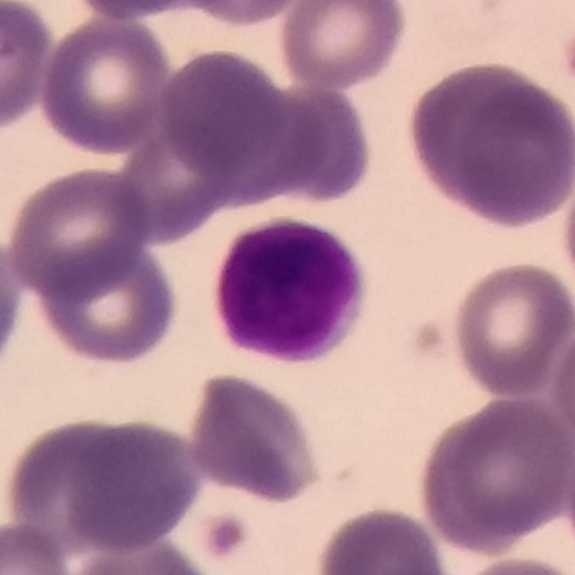 Image: Giemsa-stained. Peripheral blood film.

Q: What type of cell is this?
A: It is a lymphocyte.